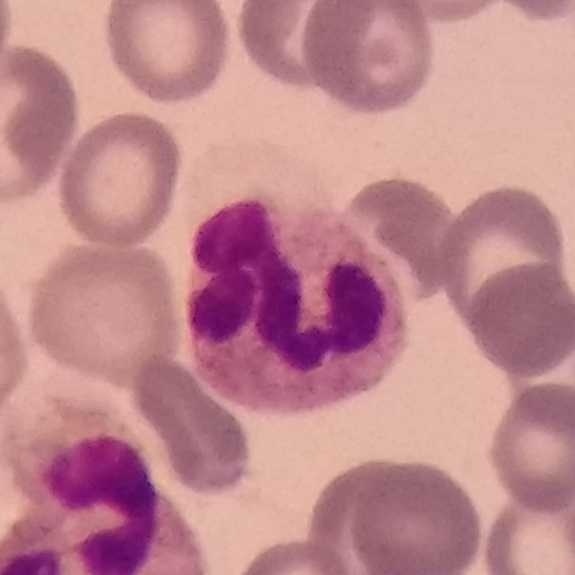
Peripheral blood film. Morphology consistent with a neutrophil.